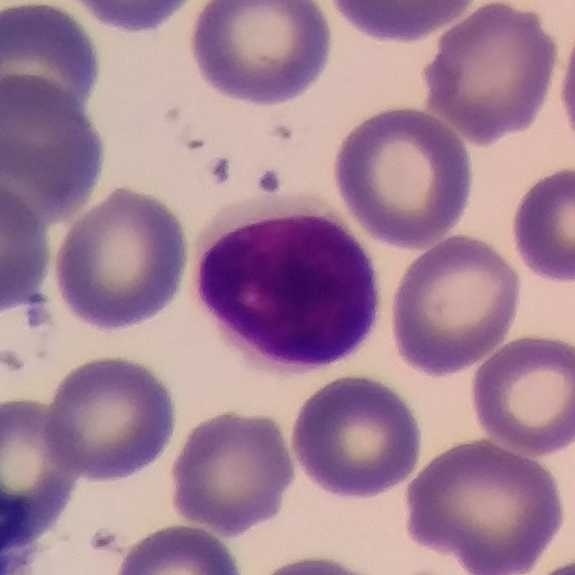 Preparation: Peripheral blood film. Smartphone camera mounted on the microscope eyepiece. Stained with Giemsa.

Q: What type of cell is this?
A: This is a lymphocyte.